Giemsa-stained. Peripheral blood film:
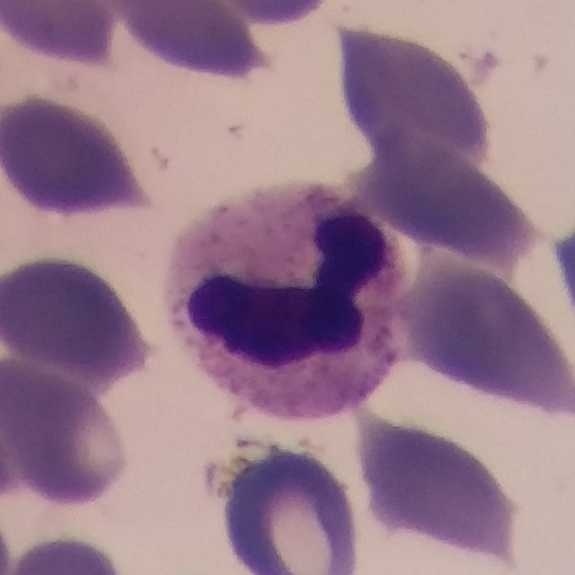 Neutrophil.